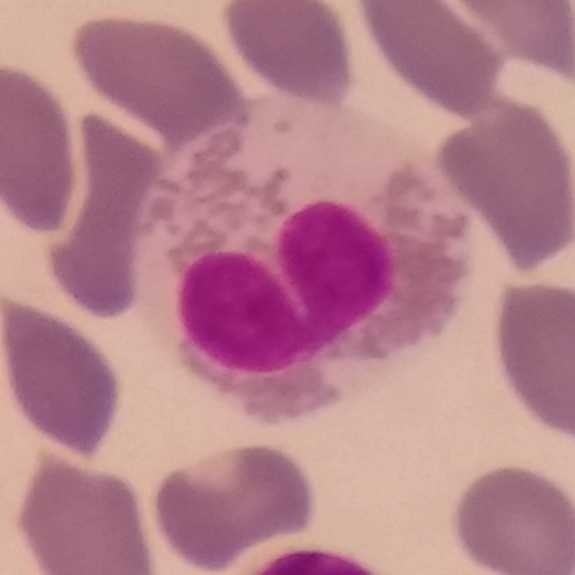

Classification — eosinophilic granulocyte.